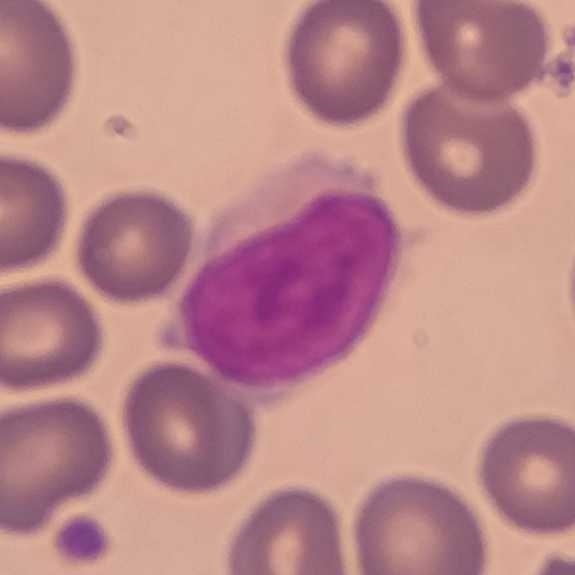
Showing a lymphocyte.

Peripheral blood smear.